Peripheral blood film. Magnification 100×
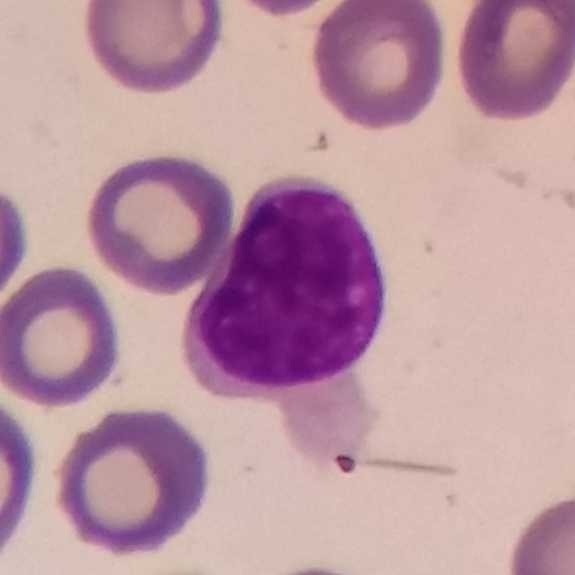
Impression → lymphocyte.